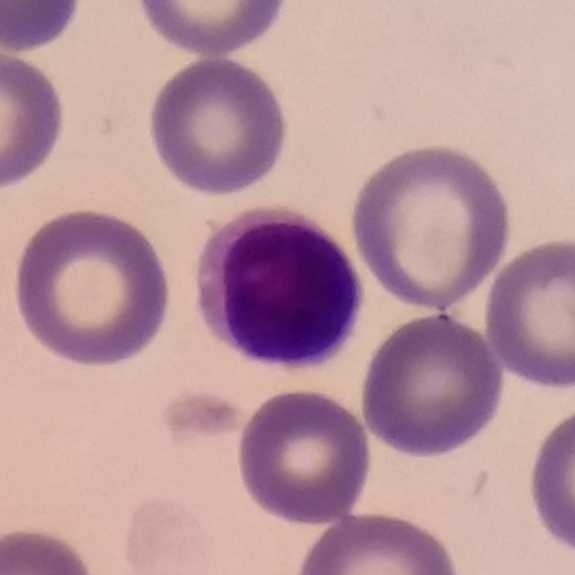Acquisition: Peripheral blood film.

Classification: lymphocyte.